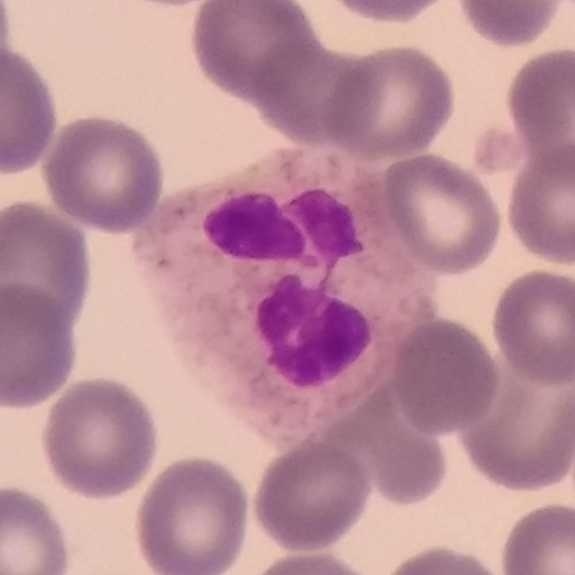
Peripheral blood film.

Showing a neutrophilic granulocyte.